Peripheral blood film.
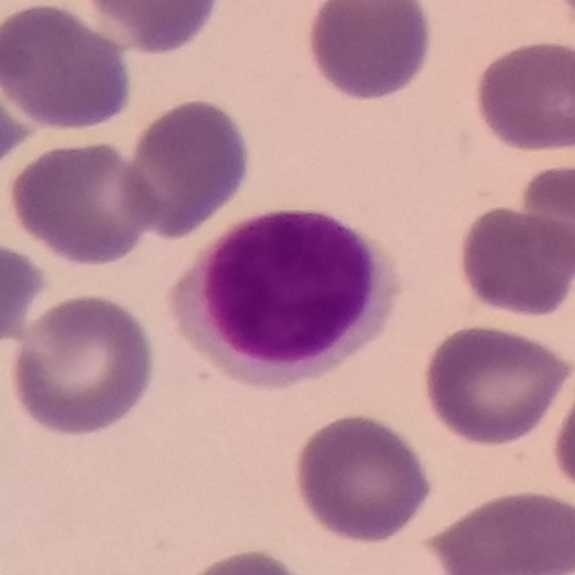

Morphological class = lymphocyte.